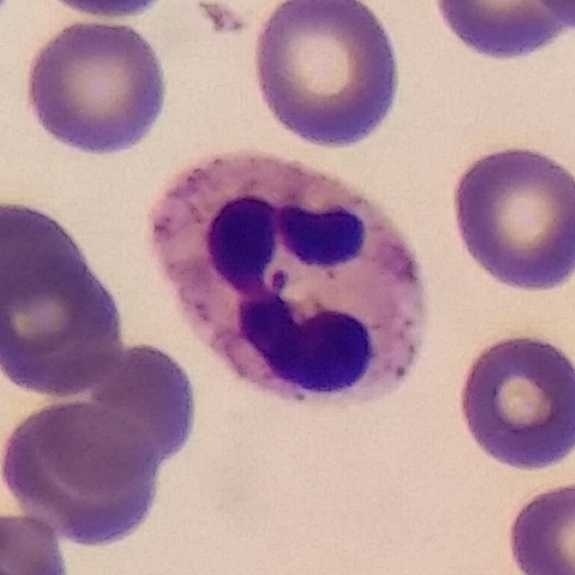

Classification: neutrophil.
Acquisition: Peripheral blood smear.